Peripheral blood smear; Giemsa-stained.
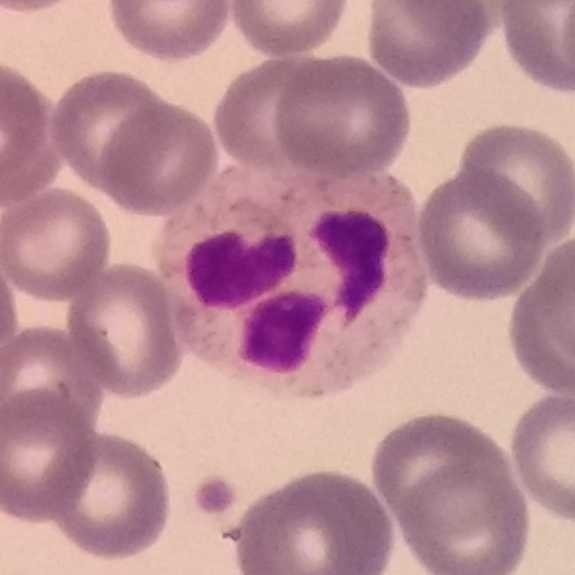
Specimen: peripheral blood film.
Cell type: neutrophil granulocyte.
Lineage: myeloid.